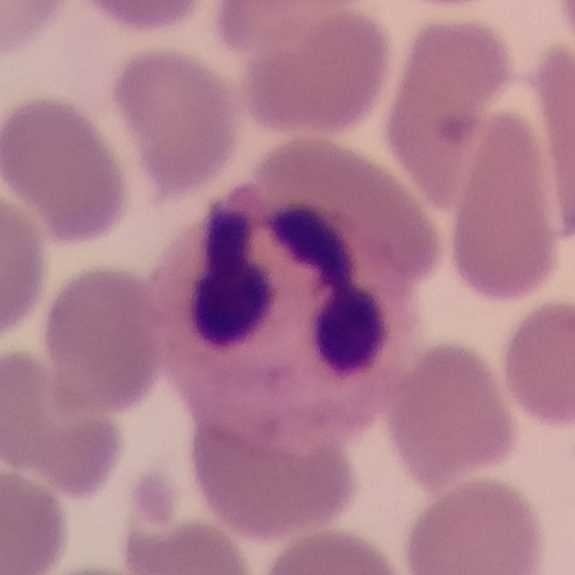Q: What cell is this?
A: Neutrophil.

Preparation: Photographed through a light microscope with a smartphone camera · 575×575 · peripheral blood film.